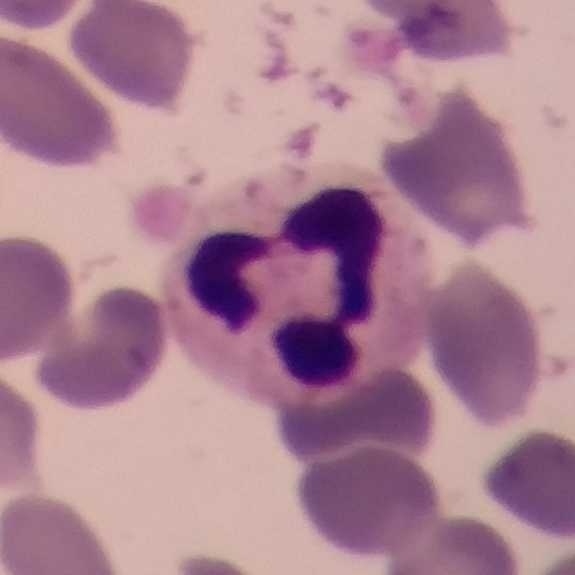 Image: Image size 575×575; cropped to one leukocyte; peripheral blood film. Q: What is shown here?
A: A neutrophil.